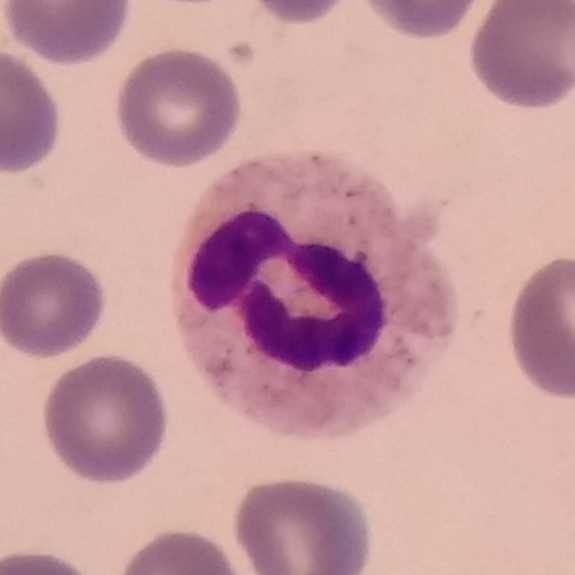Q: Which cell type is shown here?
A: It is a neutrophil.